100× magnification; peripheral blood film:
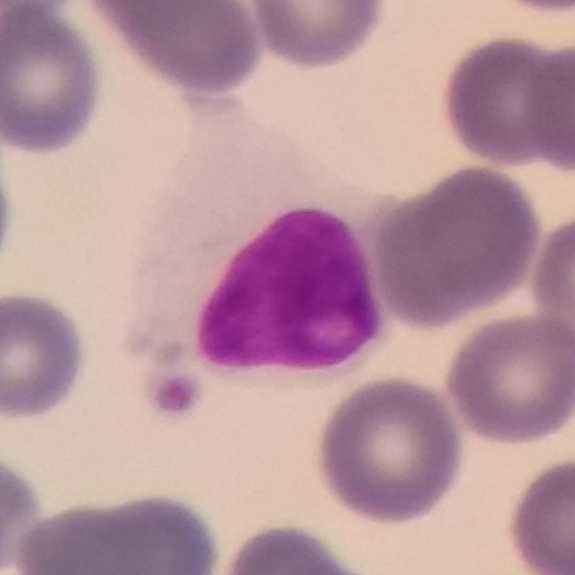Lymphocyte.